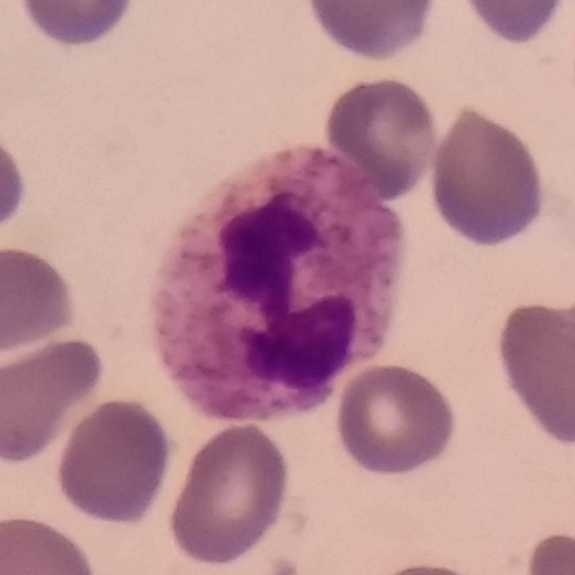

Specimen: peripheral blood film.
Cell: neutrophil granulocyte.
Lineage: myeloid.
Image: Single-cell field · 575×575.